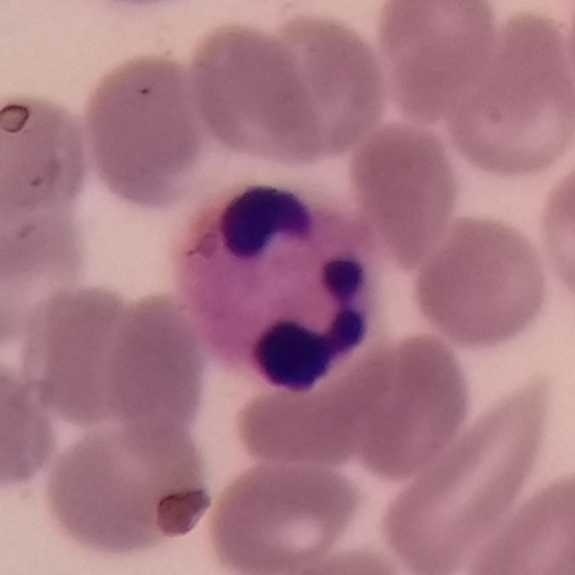
Specimen: peripheral blood smear.
Classification: neutrophil granulocyte.